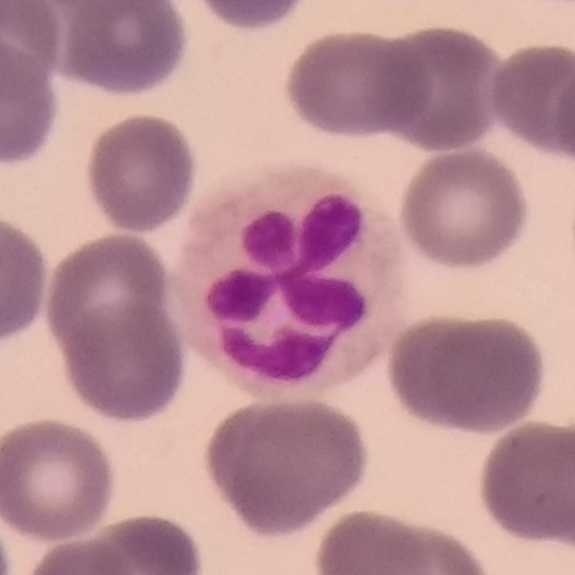
Specimen: peripheral blood smear.
White blood cell type: neutrophil.
Lineage: myeloid.

Giemsa-stained.